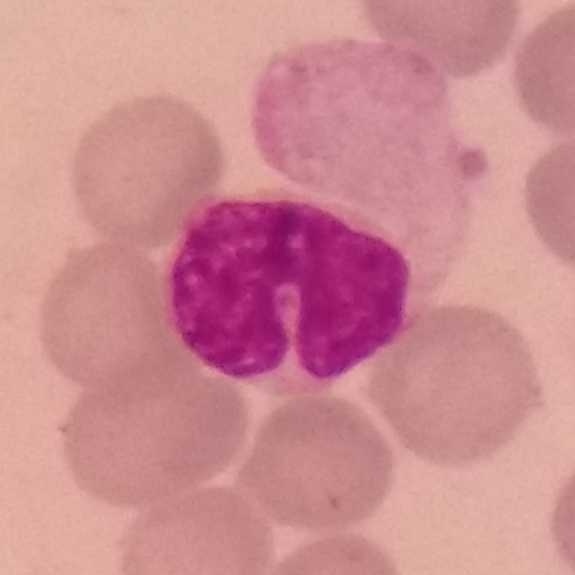
Impression → monocyte.
Preparation: Peripheral blood film.